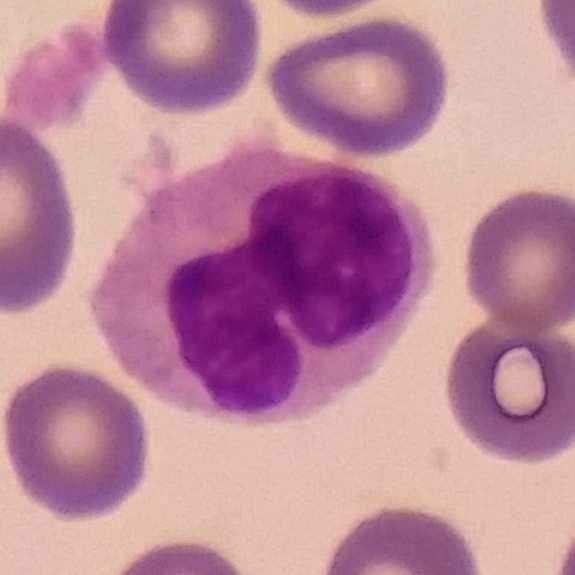 Preparation: Peripheral blood film.
Impression — monocyte.